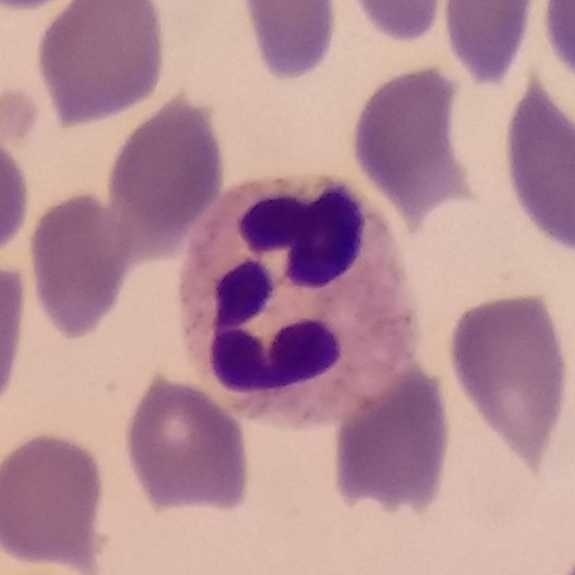 Preparation: Peripheral blood smear. Impression — neutrophil granulocyte.